Peripheral blood film.
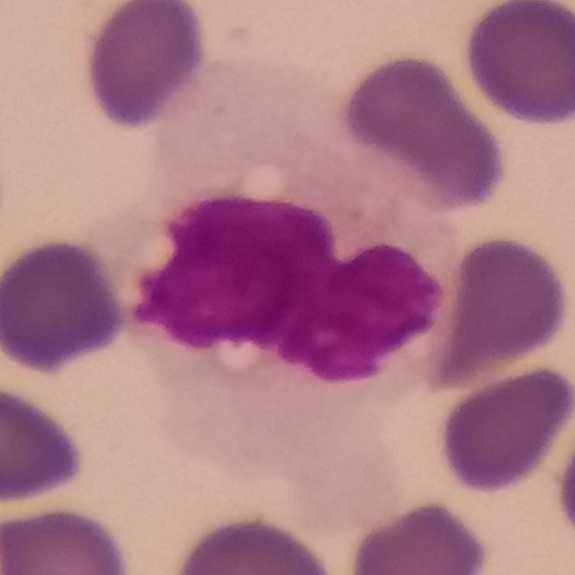Specimen: peripheral blood smear.
Cell type: monocyte.
Lineage: myeloid.